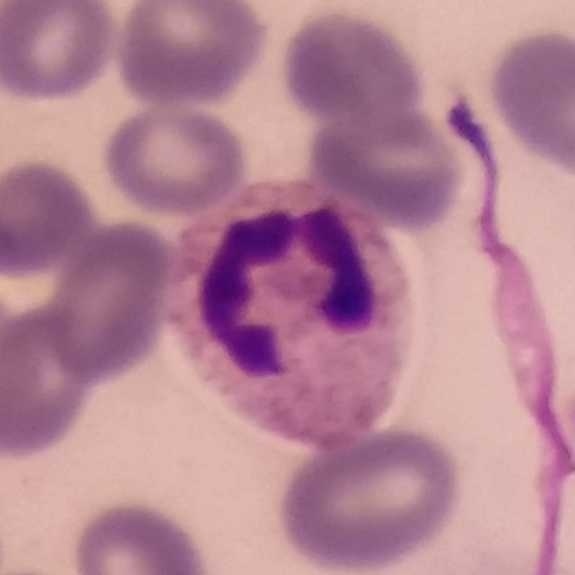

From a peripheral blood smear: a neutrophil.